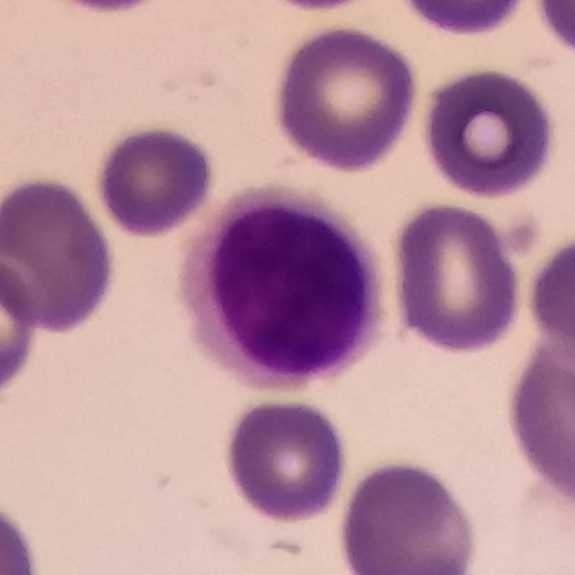Showing a lymphocyte.